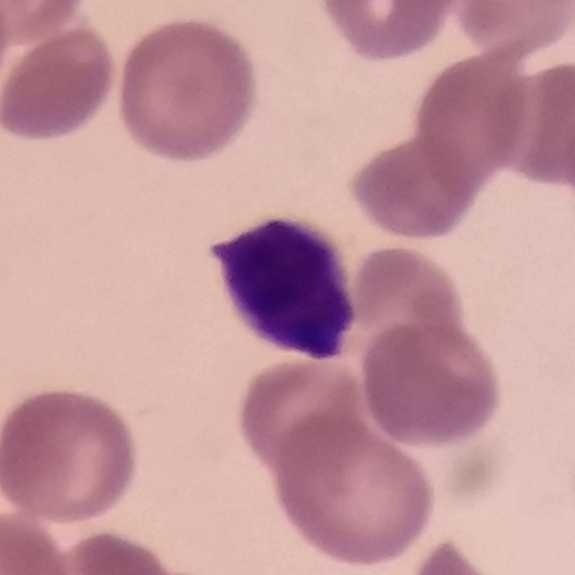 Peripheral blood film.
White blood cell type: lymphocyte.